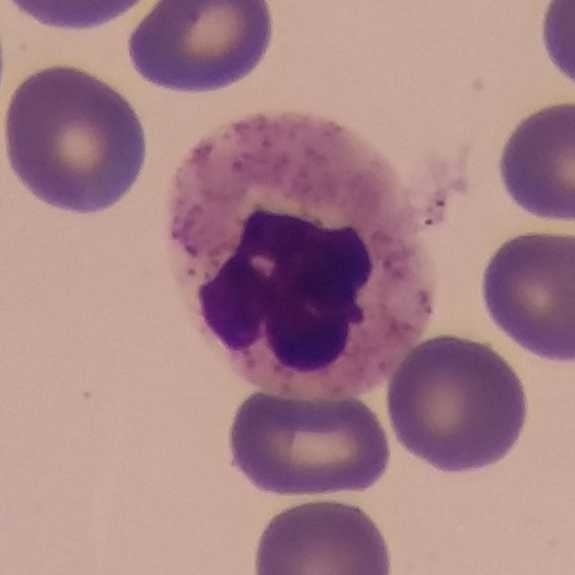 Q: Which type of white blood cell is this?
A: A neutrophil. Acquisition: Peripheral blood smear.